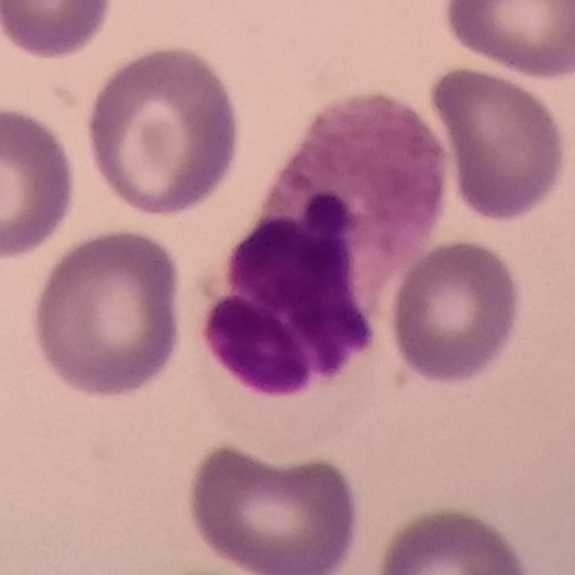
Cell type = neutrophil.

Acquisition: Single-cell field; peripheral blood smear.